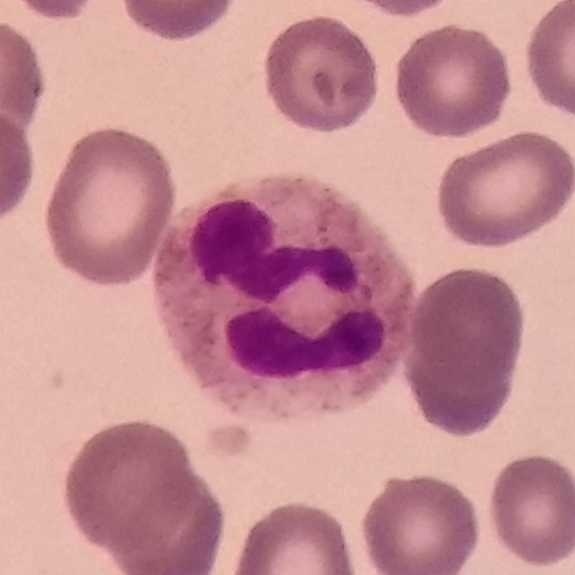 {"cell_type": "neutrophil"} Context: Peripheral blood film · smartphone photomicrograph.